Peripheral blood smear
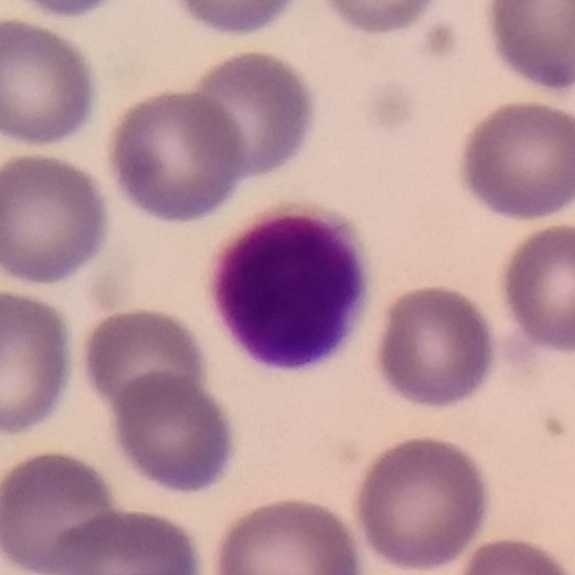Morphological class = lymphocyte.